575×575 px. Peripheral blood smear — 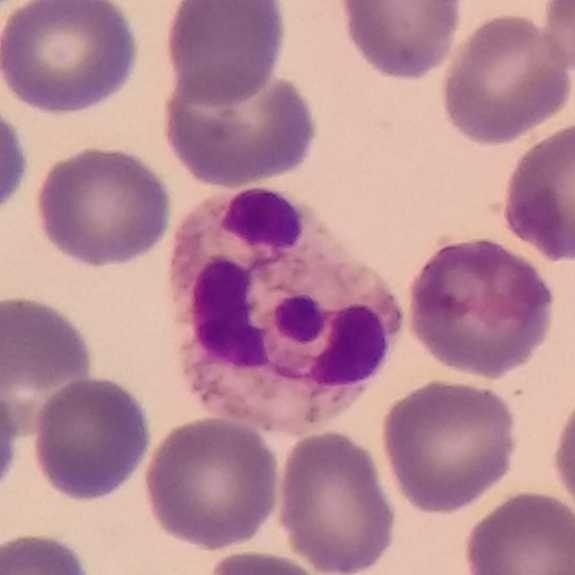

Specimen: peripheral blood smear.
Cell type: neutrophil granulocyte.
Lineage: myeloid.